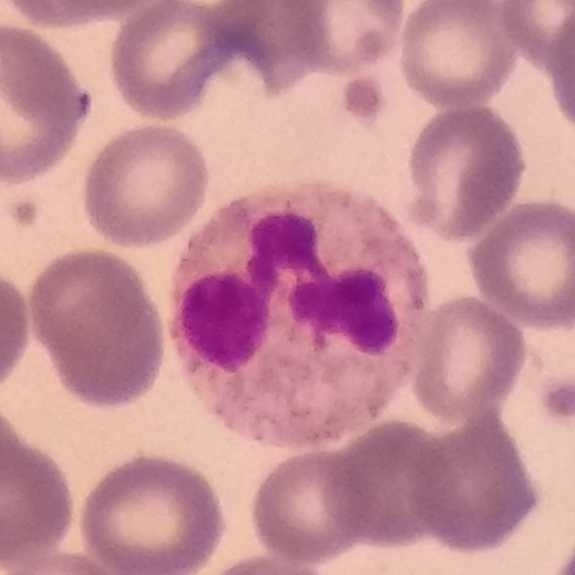 {"cell_type": "neutrophil granulocyte", "lineage": "myeloid"}
Peripheral blood smear.